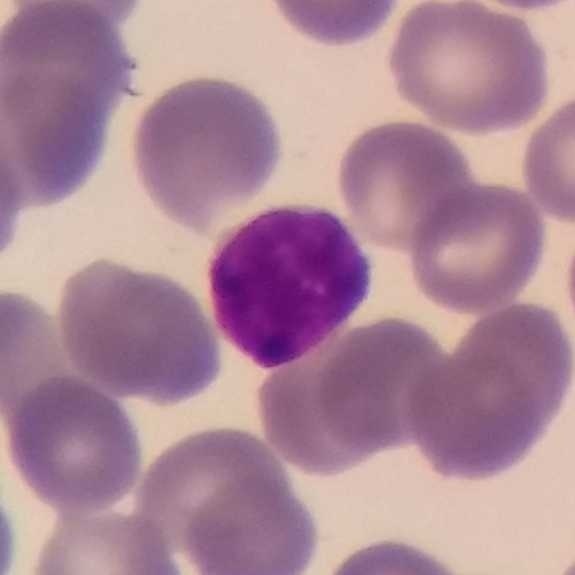 Cell type = lymphocyte.
Peripheral blood smear.